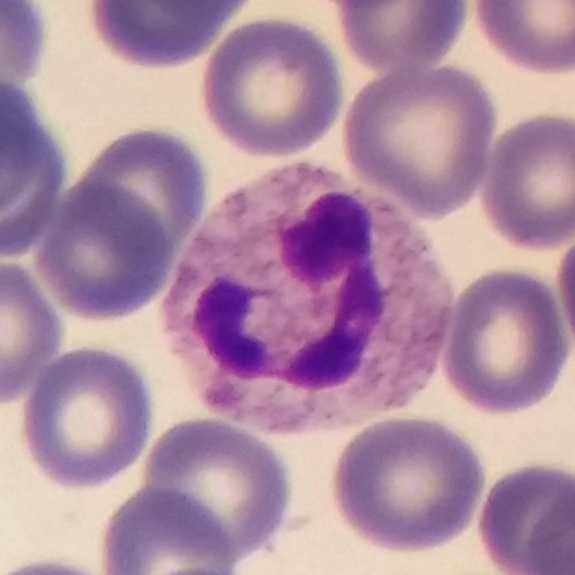
Q: What is this?
A: A neutrophil.